Smartphone camera mounted on the microscope eyepiece; peripheral blood smear.
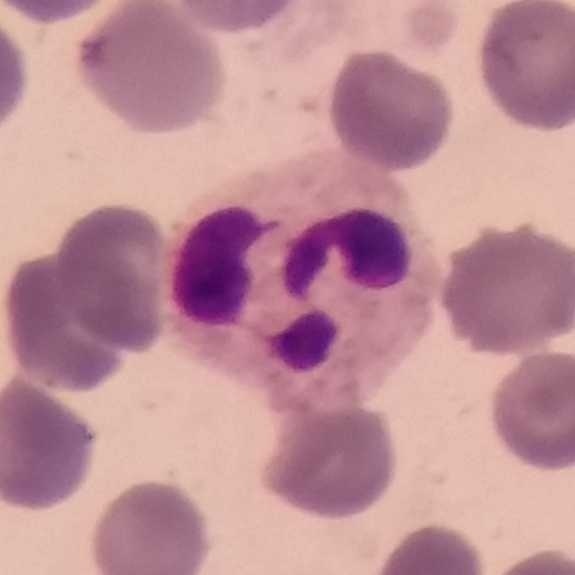 Showing a neutrophil granulocyte.